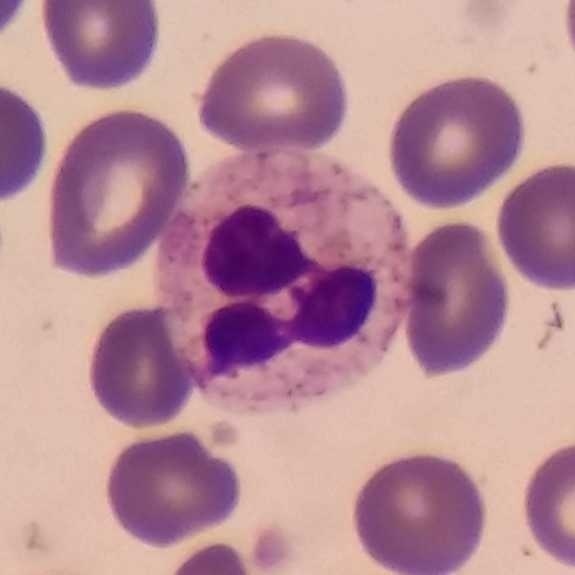

Acquisition: Peripheral blood smear.
Q: Identify the cell.
A: Neutrophilic granulocyte.